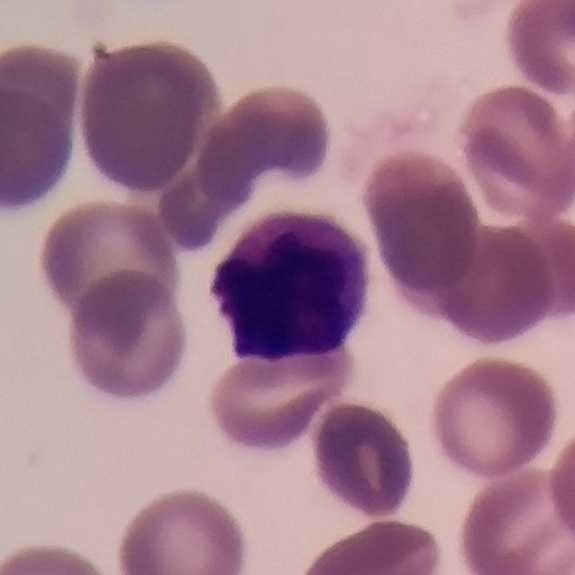Morphological class = lymphocyte.